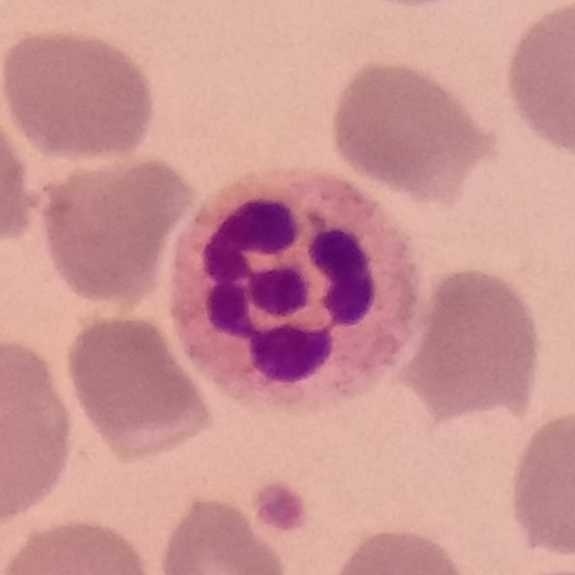
Q: What is the morphological classification of this cell?
A: A neutrophilic granulocyte.